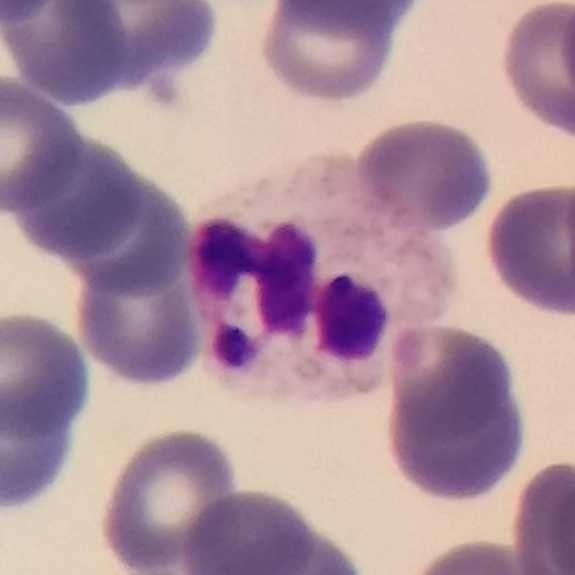Context: Cropped to one leukocyte · peripheral blood film.

Morphology — neutrophil.